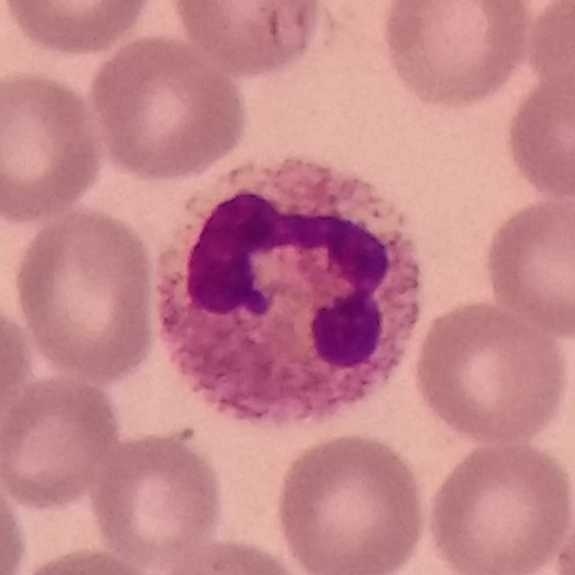Context: Single-cell crop. Smartphone photomicrograph. Peripheral blood film. This is a neutrophil.